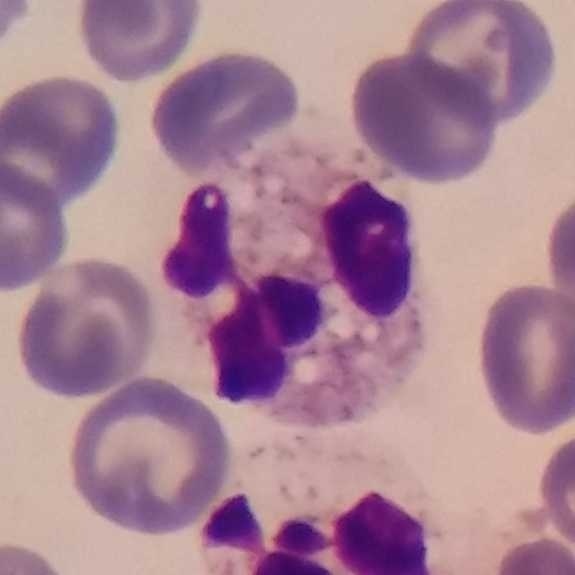
Morphology consistent with a neutrophil.

Context: Peripheral blood film.